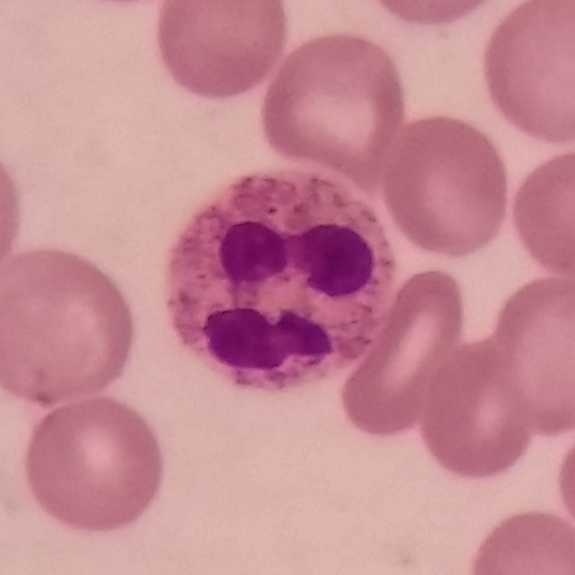
Showing a neutrophil granulocyte.
Context: 575×575 px · peripheral blood film · imaged at 100×.